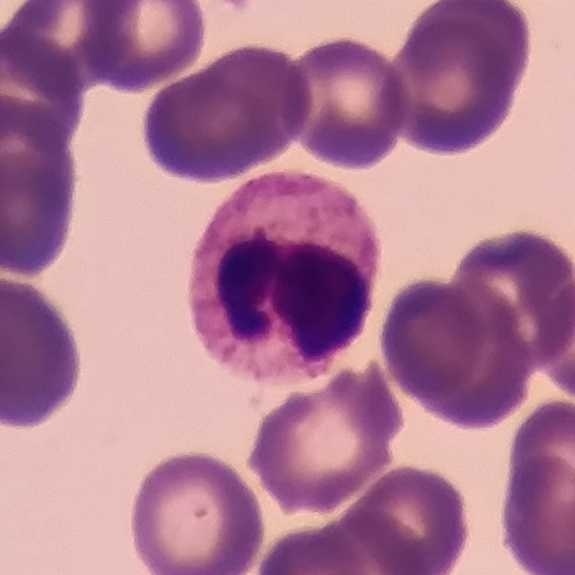
Specimen: peripheral blood film.
Cell: neutrophil.
Lineage: myeloid.